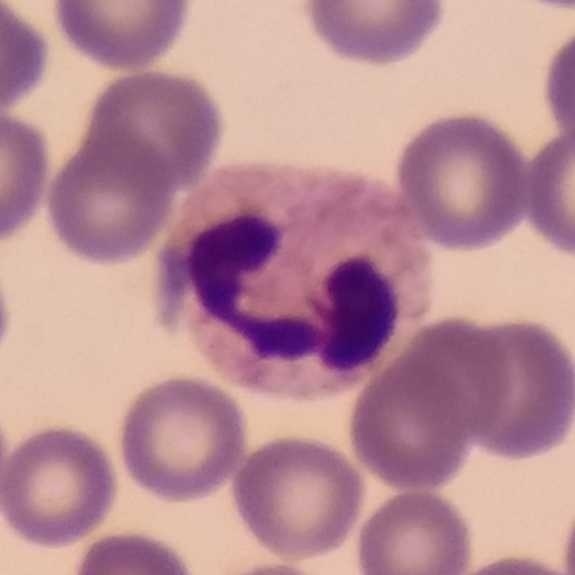Preparation: Single-cell crop. Peripheral blood smear. Q: Identify the cell.
A: It is a neutrophilic granulocyte.